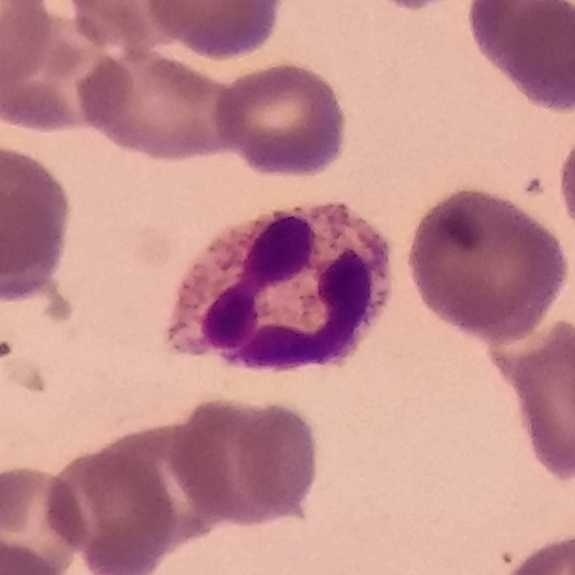

Acquisition: Peripheral blood smear.

The white blood cell in this image is a neutrophilic granulocyte.